Peripheral blood smear — 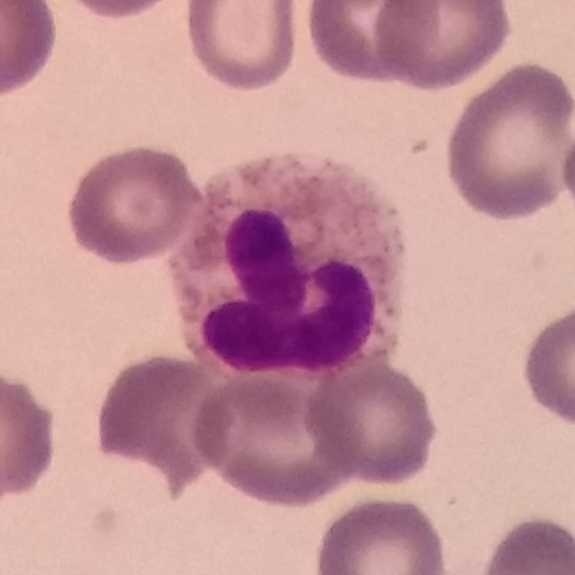
A neutrophilic granulocyte.